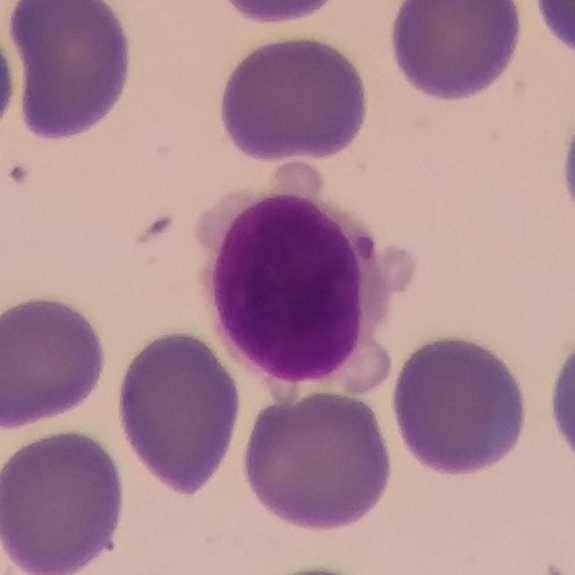Acquisition: 575×575; cropped to one leukocyte.

Specimen: peripheral blood smear.
Morphological class: lymphocyte.
Lineage: lymphoid.